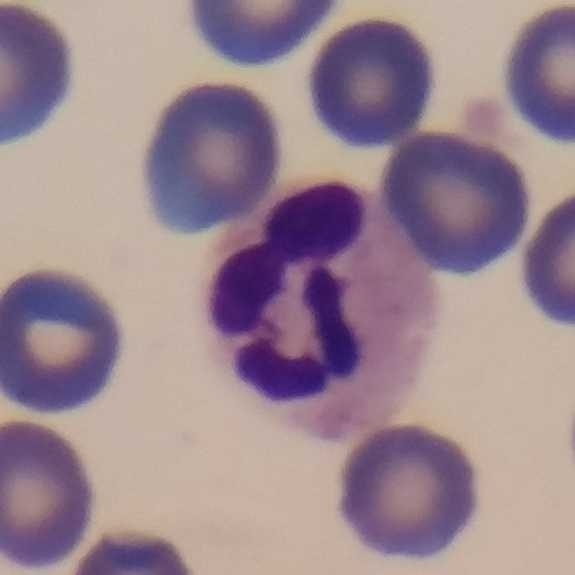 Identified as a neutrophil.